Peripheral blood film — 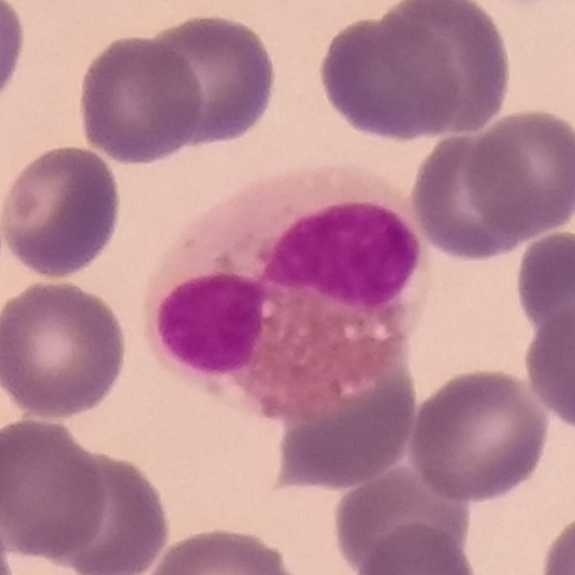 Classification — eosinophil.